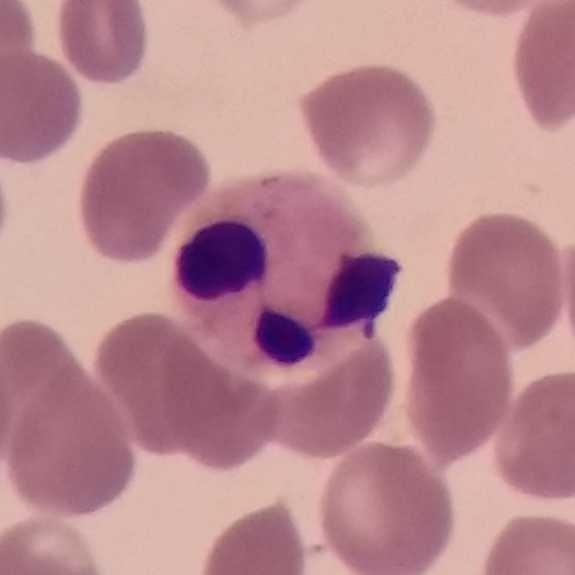 The white blood cell in this image is a neutrophil.

Peripheral blood film.